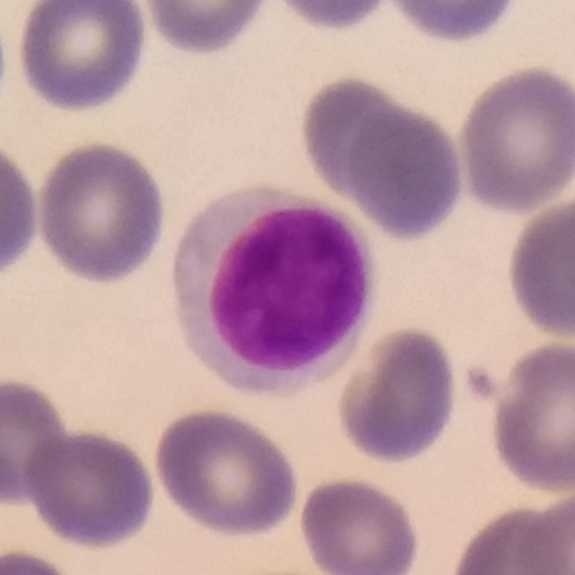
Q: What is this?
A: It is a lymphocyte.